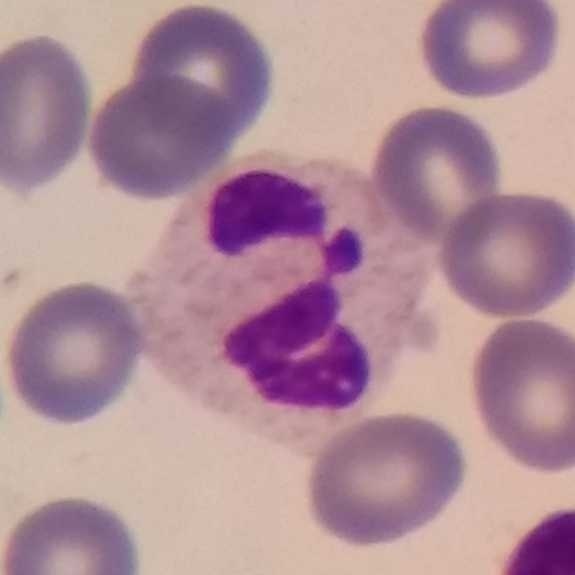 White blood cell type — neutrophil granulocyte. Acquisition: Peripheral blood film.